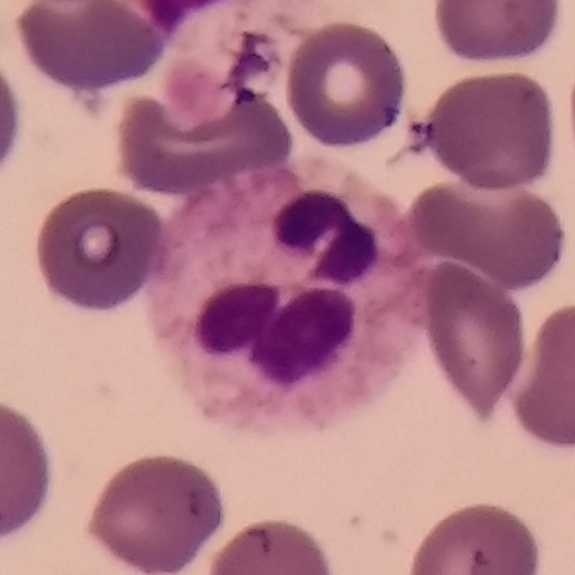 Showing a neutrophil granulocyte.
Cropped to one leukocyte; peripheral blood film.